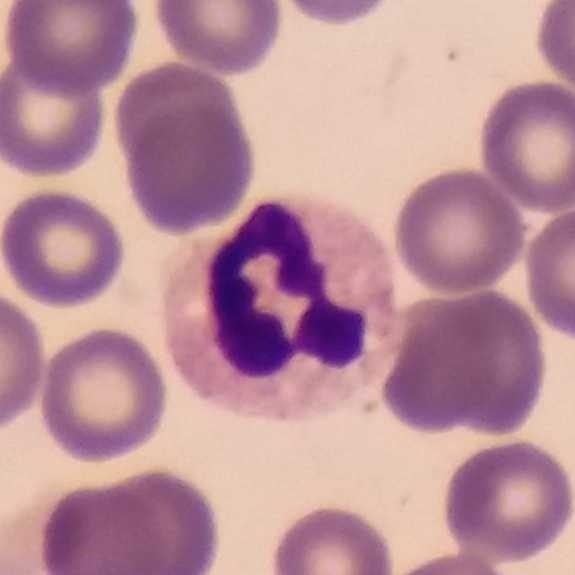

A neutrophil. Context: Giemsa-stained. Cropped to one leukocyte. Peripheral blood smear.